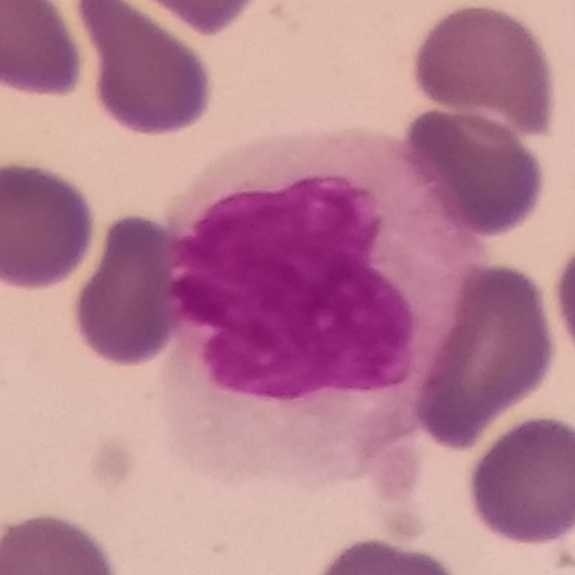Specimen: peripheral blood smear.
White blood cell type: monocyte.